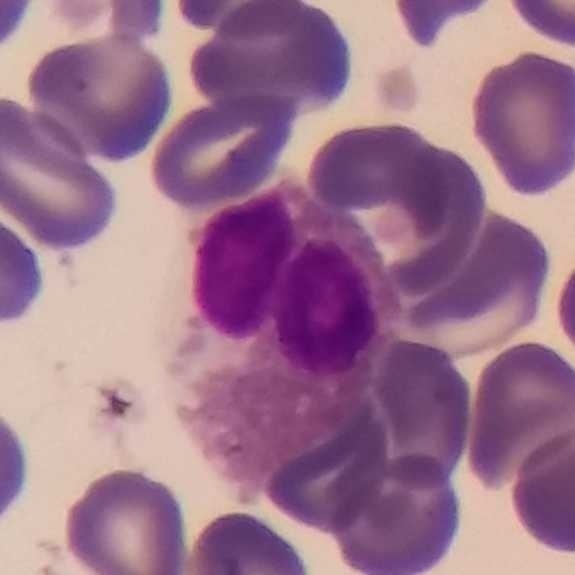

Peripheral blood smear showing an eosinophil.